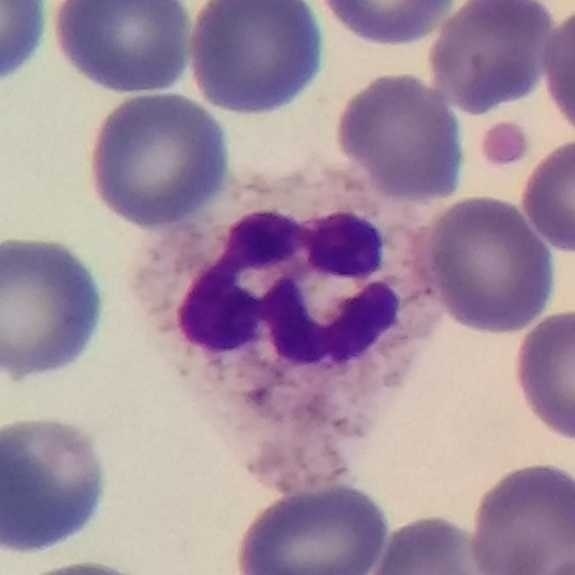 {"cell_type": "neutrophilic granulocyte", "lineage": "myeloid"} Preparation: Peripheral blood film.